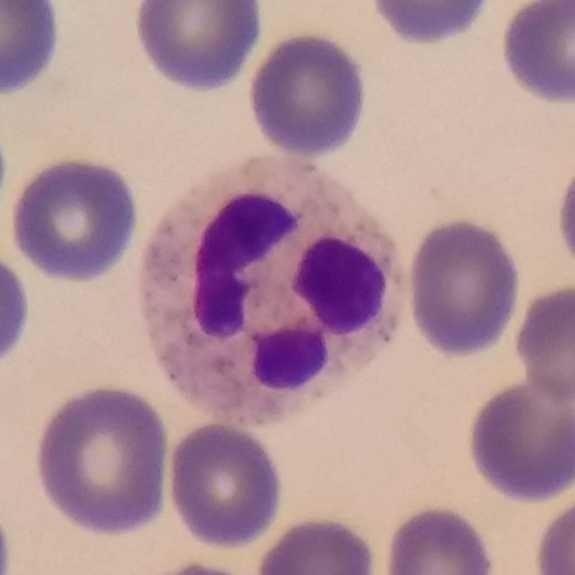The white blood cell in this image is a neutrophil.
Context: Peripheral blood film.